Peripheral blood smear: 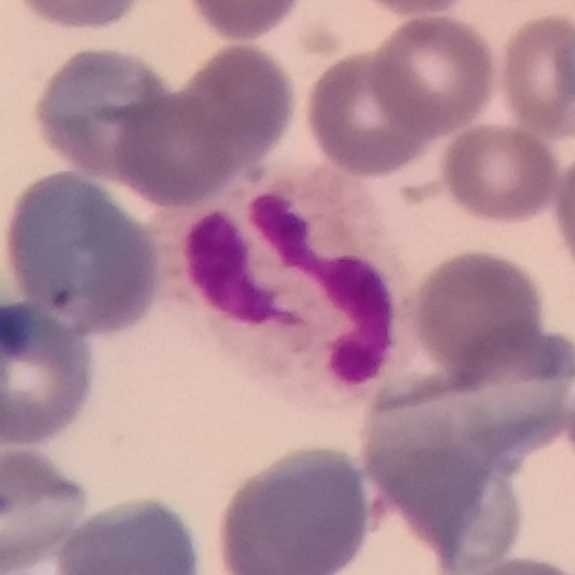

Classification: neutrophil granulocyte.